Peripheral blood smear. Giemsa stain — 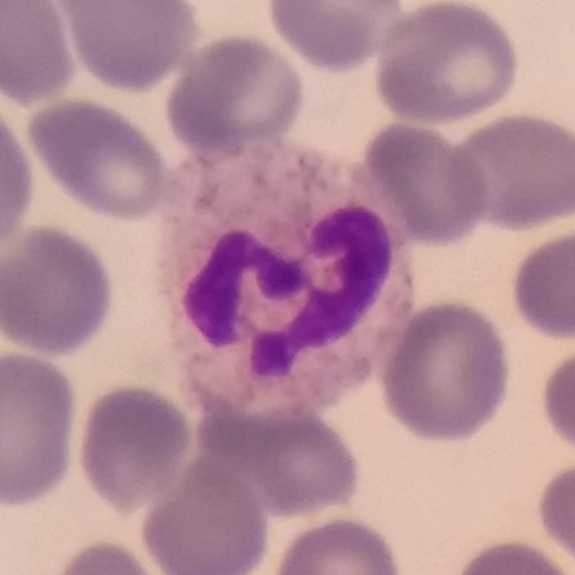 The classification is neutrophil.